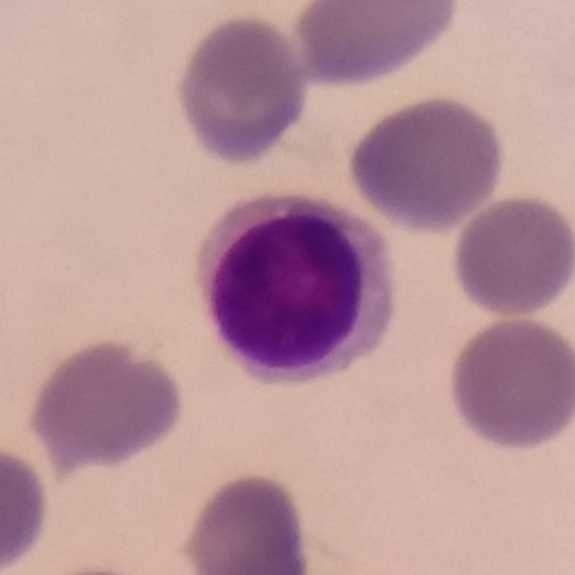Peripheral blood film.
Single cell identified as a lymphocyte.